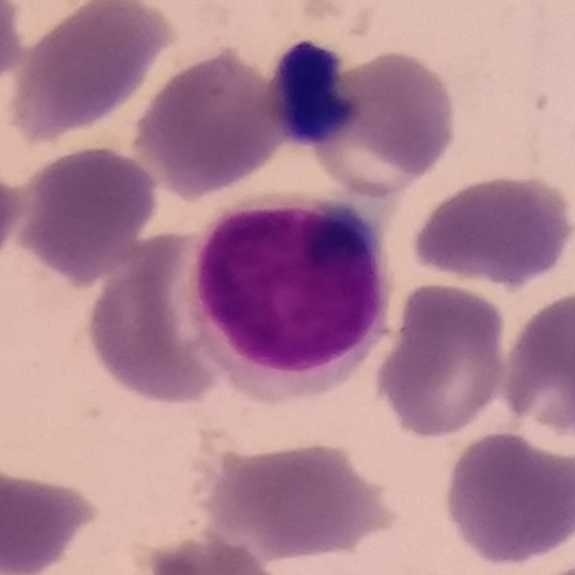

Context: Peripheral blood film.

{"cell_type": "lymphocyte", "lineage": "lymphoid"}